Phone-camera image taken through the microscope ocular. Peripheral blood smear. Single-cell crop
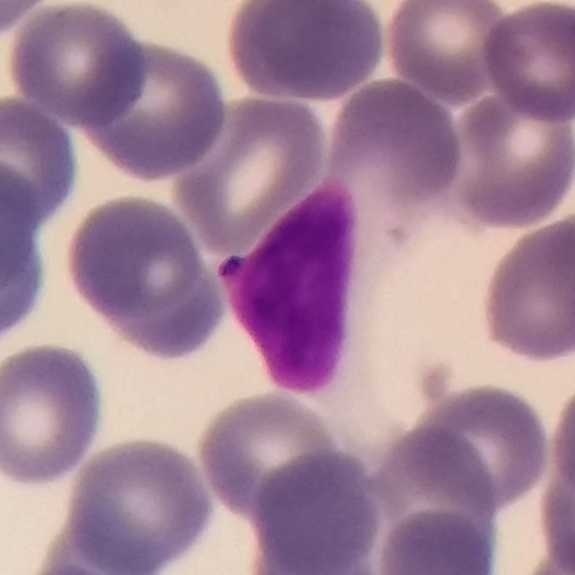 The cell shown is a lymphocyte.